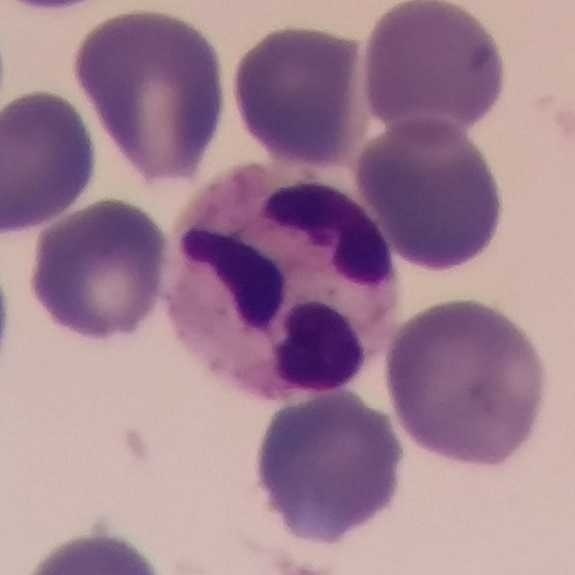
Giemsa stain. Peripheral blood smear.

Impression → neutrophil granulocyte.